Peripheral blood smear:
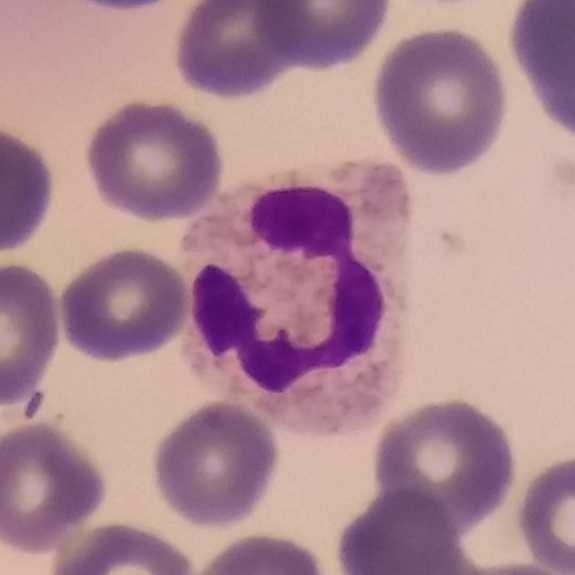
Impression — neutrophil granulocyte.